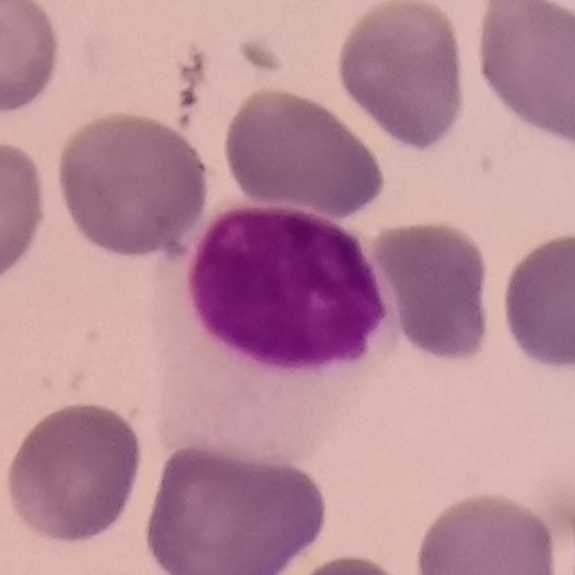
Specimen: peripheral blood film.
Cell: lymphocyte.
Lineage: lymphoid.
Context: Cropped to one leukocyte; image size 575×575.